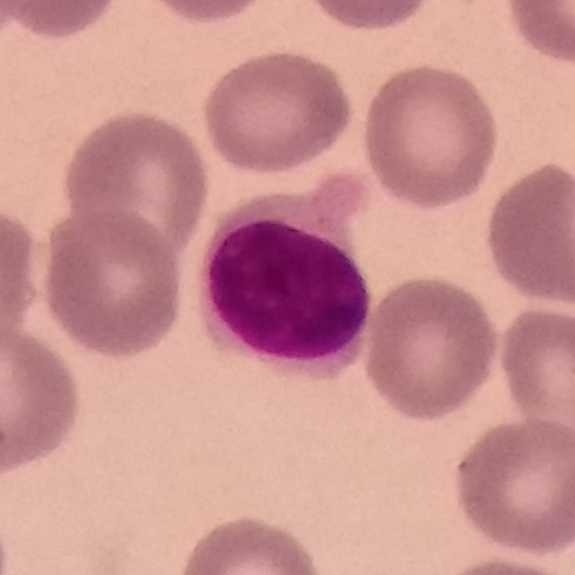
The white blood cell type is lymphocyte.